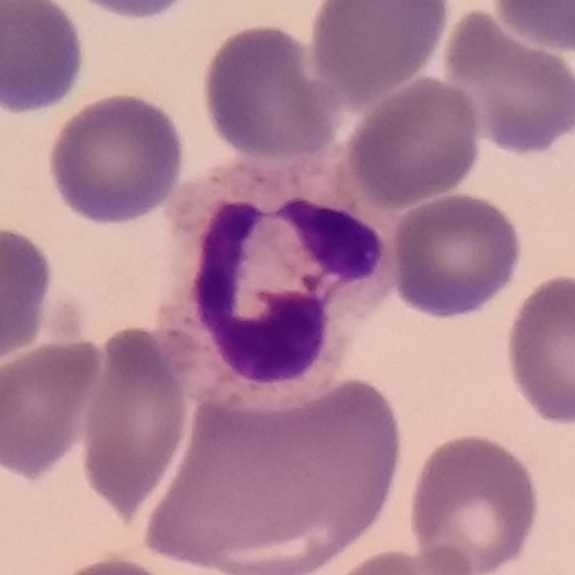
Showing a neutrophil granulocyte.